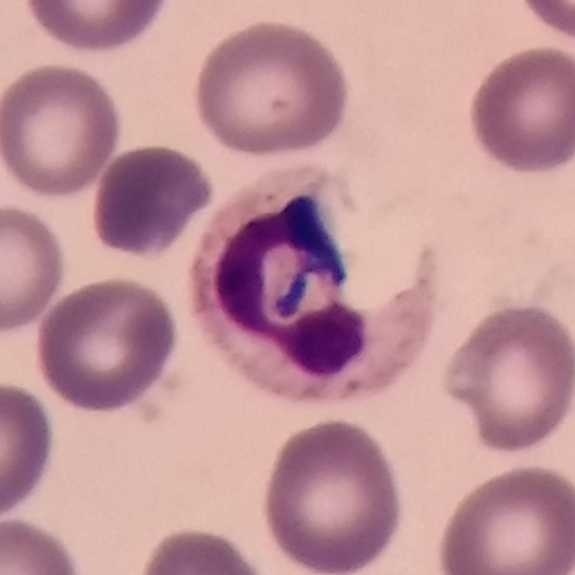 Context: Image size 575×575.
Specimen: peripheral blood smear.
Classification: neutrophilic granulocyte.
Lineage: myeloid.